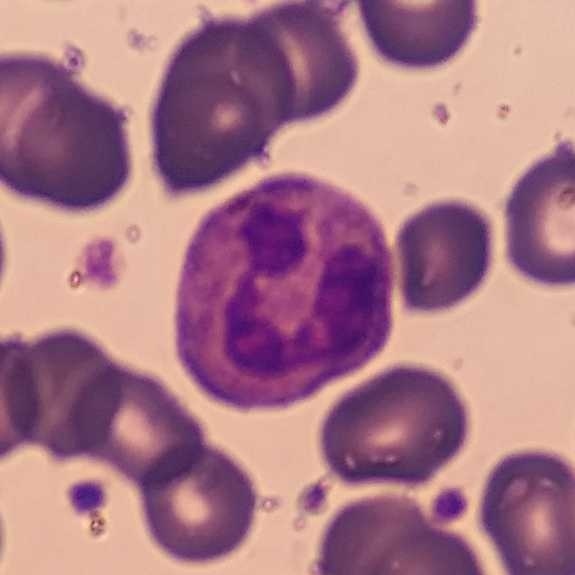 Showing a neutrophilic granulocyte. Magnification 100× · peripheral blood film · smartphone camera mounted on the microscope eyepiece.